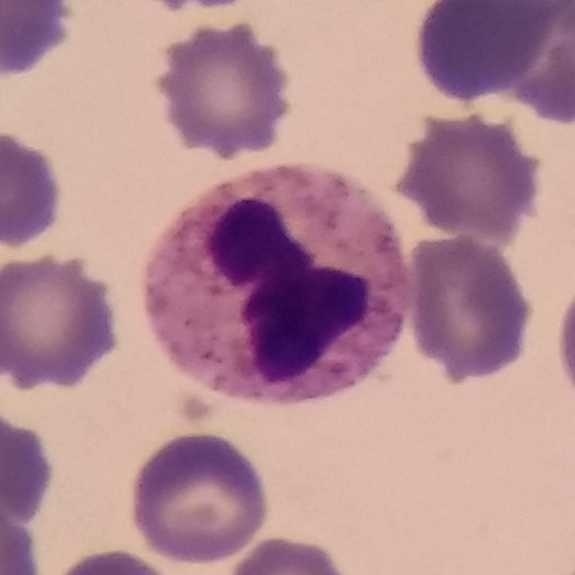The cell type is neutrophil granulocyte. 575×575 · cropped to one leukocyte · peripheral blood smear.